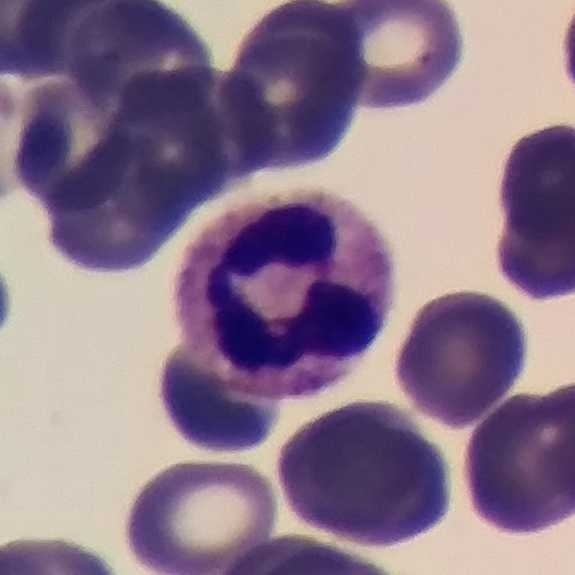
Specimen: peripheral blood film.
Classification: neutrophilic granulocyte. Photographed through a light microscope with a smartphone camera · 575×575.